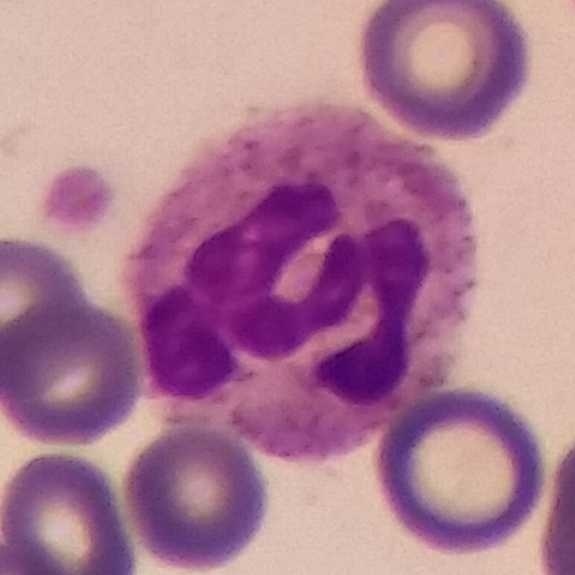
Q: What is this?
A: This is a neutrophil granulocyte.